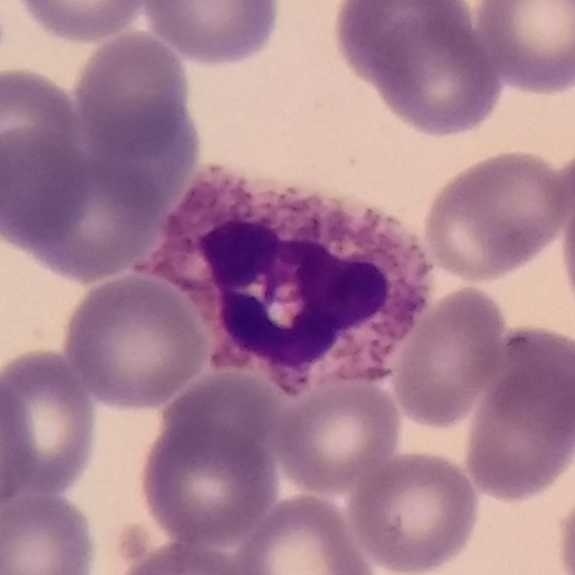

Peripheral blood smear.

This is a neutrophilic granulocyte.